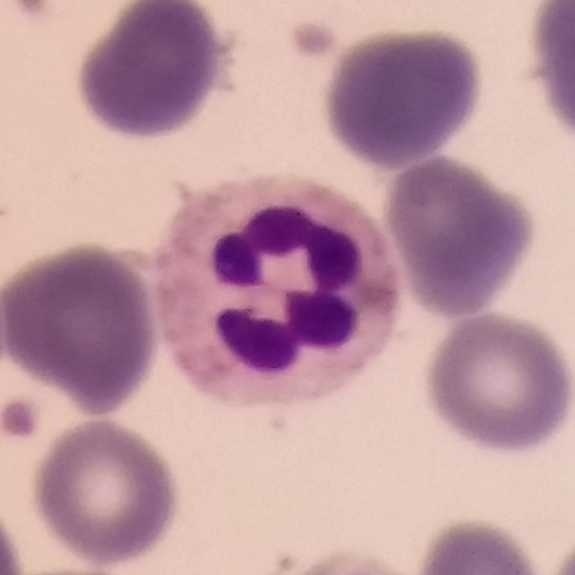Morphology — neutrophil.
Context: Single white blood cell cropped from the smear photograph · phone-camera image taken through the microscope ocular · peripheral blood film.